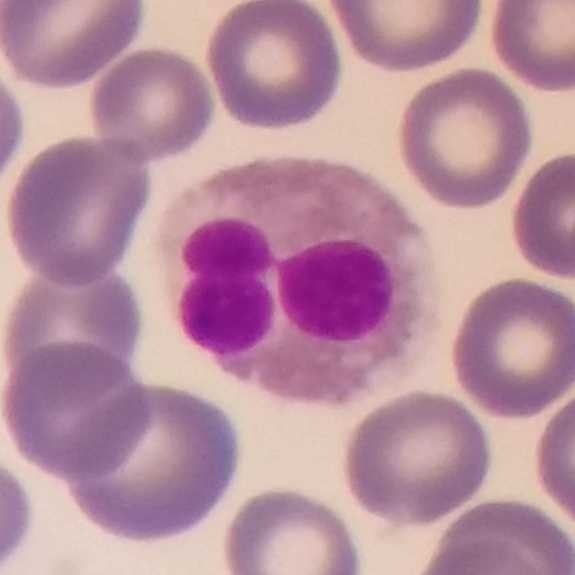

Showing an eosinophil.